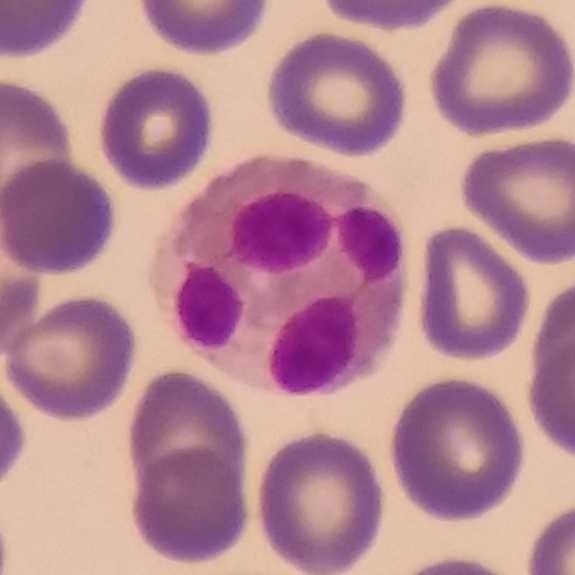
Classification — eosinophilic granulocyte.

Preparation: Giemsa stain · peripheral blood smear.